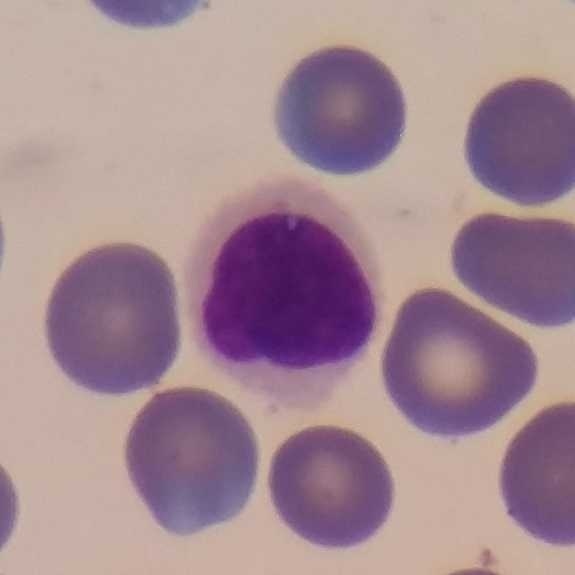

The cell shown is a lymphocyte.

Context: Peripheral blood film · photographed through a light microscope with a smartphone camera · 575 by 575 pixels.